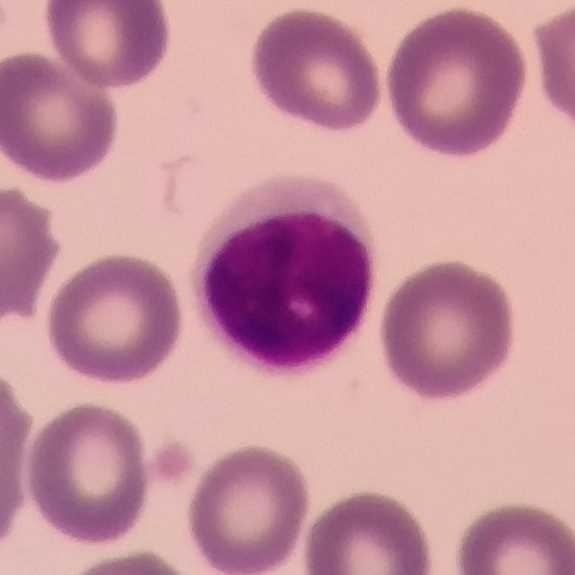
Specimen: peripheral blood smear.
White blood cell type: lymphocyte.
Lineage: lymphoid.